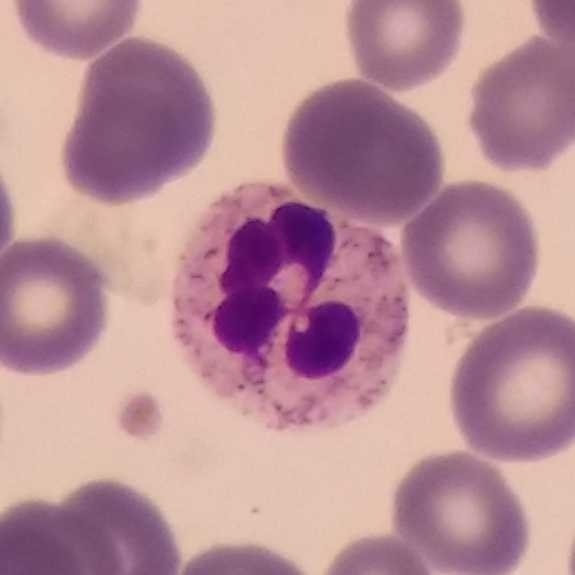 Peripheral blood smear showing a neutrophil.